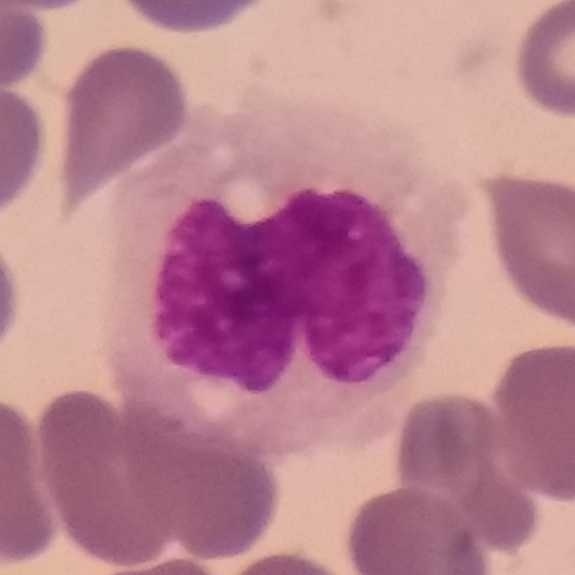Image size 575×575. Peripheral blood film. White blood cell type: monocyte.